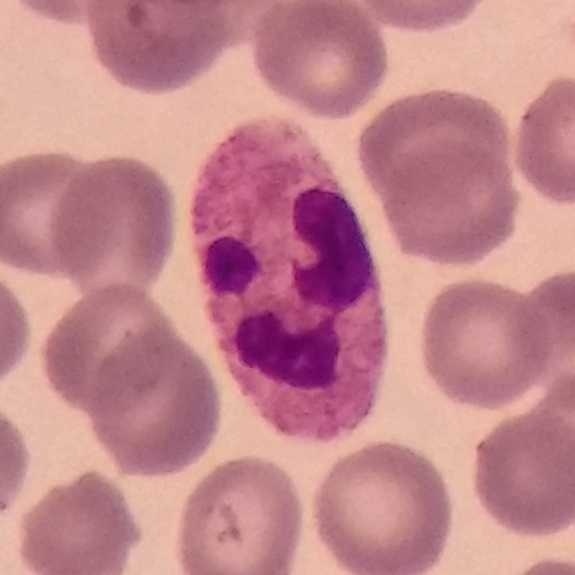

Acquisition: Peripheral blood film. Q: Which type of white blood cell is this?
A: A neutrophil.